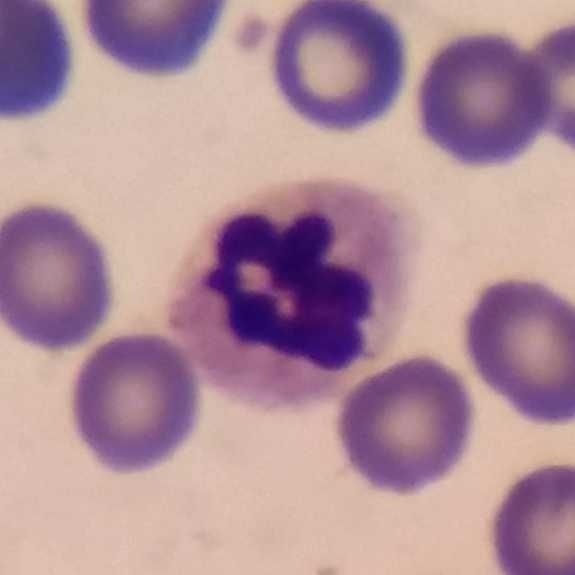The white blood cell in this image is a neutrophil granulocyte. Peripheral blood film.